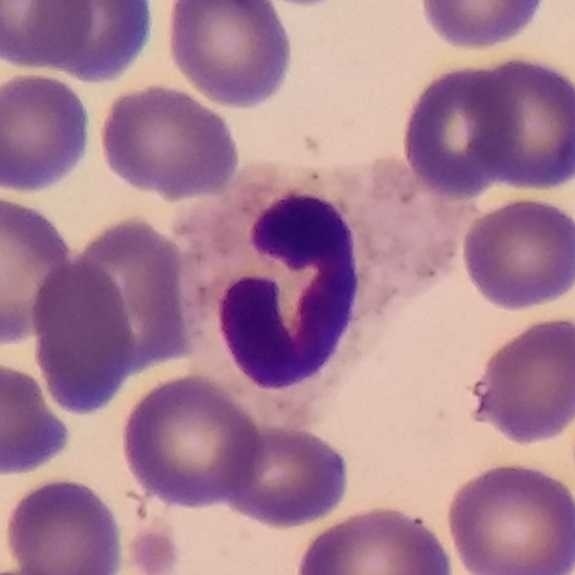

The cell is neutrophil.
Peripheral blood film.